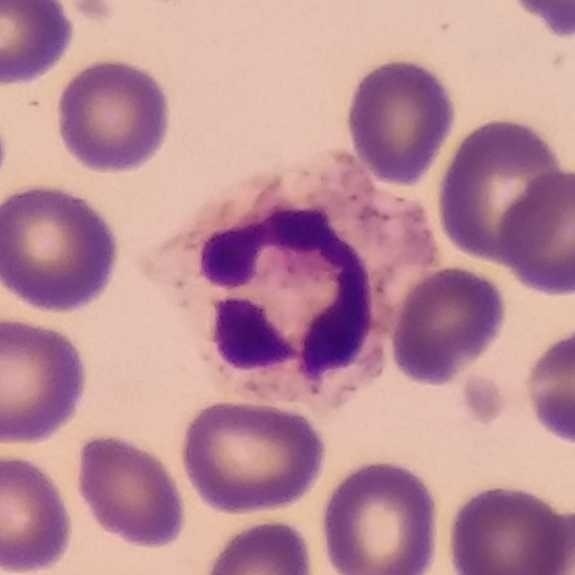 Specimen: peripheral blood smear.
Cell type: neutrophil.
Lineage: myeloid.

Image: Smartphone photomicrograph.